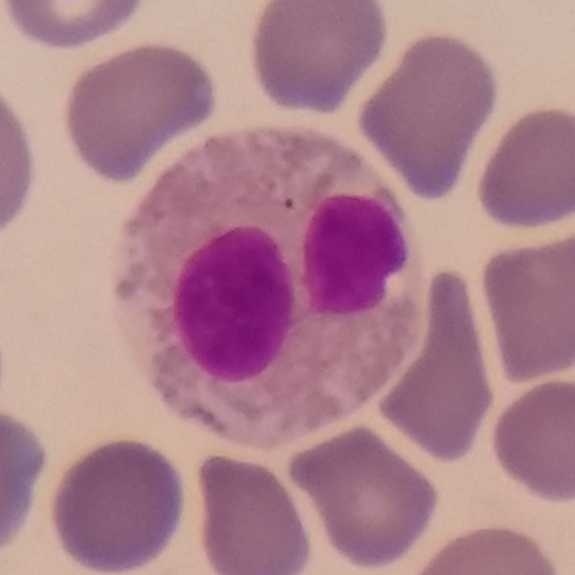 Image: Peripheral blood smear. Stained with Giemsa.
Q: What is the morphological classification of this cell?
A: This is an eosinophilic granulocyte.